100× magnification · peripheral blood film — 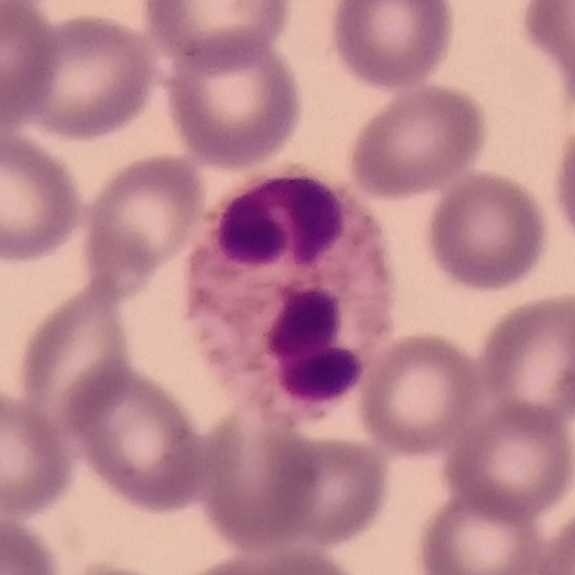 Showing a neutrophil.